Peripheral blood film — 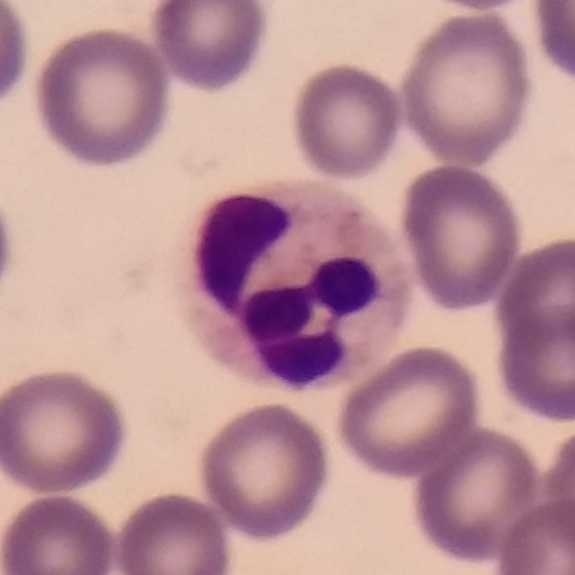 The cell shown is a neutrophilic granulocyte.